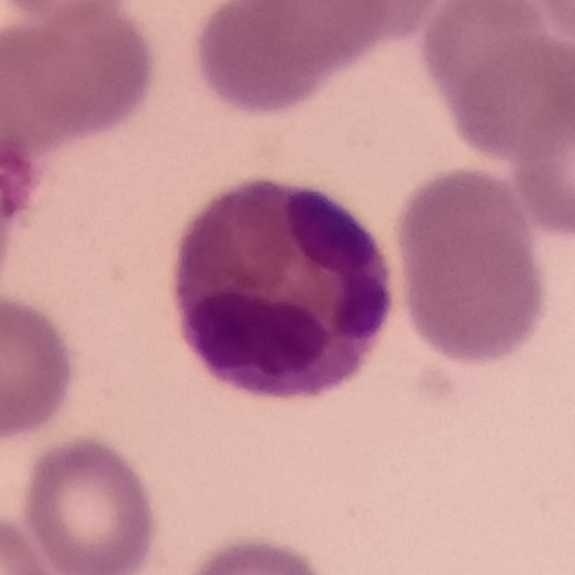
Image: 575×575 px · single-cell crop.
Specimen: peripheral blood smear.
Morphological class: eosinophilic granulocyte.